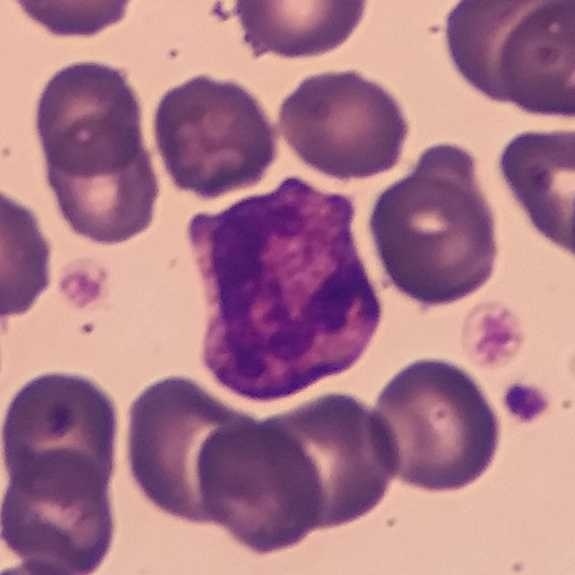
Specimen: peripheral blood film.
Classification: neutrophil granulocyte.
Lineage: myeloid.
Preparation: Photographed through a light microscope with a smartphone camera; cropped to one leukocyte.